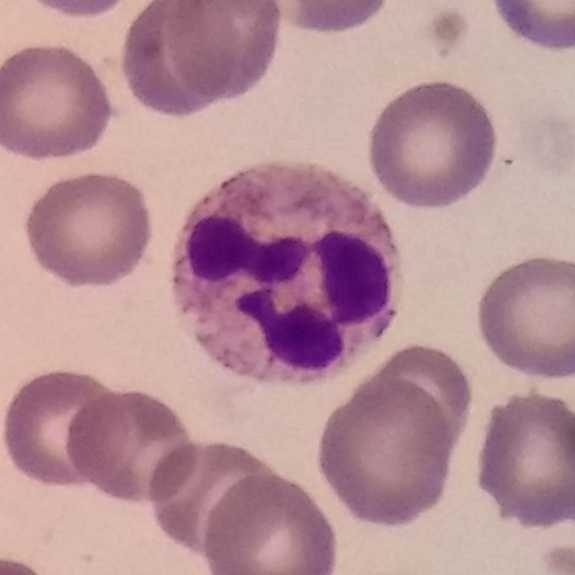

Preparation: Stained with Giemsa; peripheral blood smear.

Impression — neutrophilic granulocyte.